Peripheral blood film: 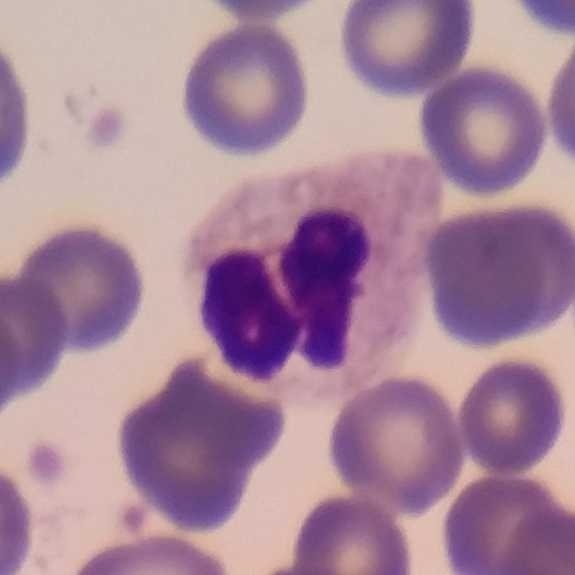

Specimen: peripheral blood film.
Classification: neutrophil.